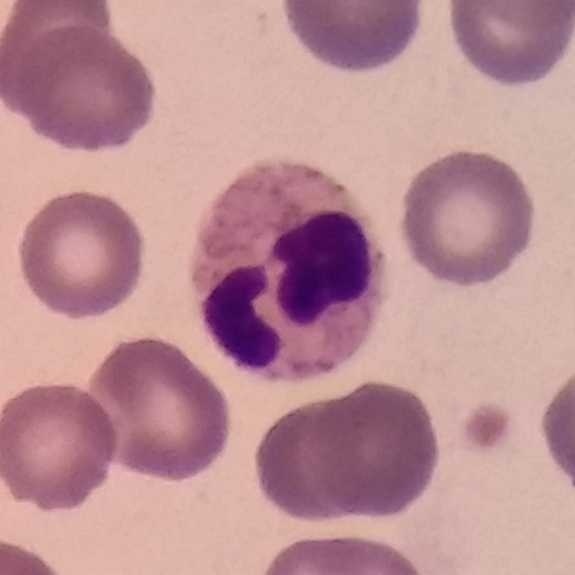

Peripheral blood film. Single cell identified as a neutrophil.